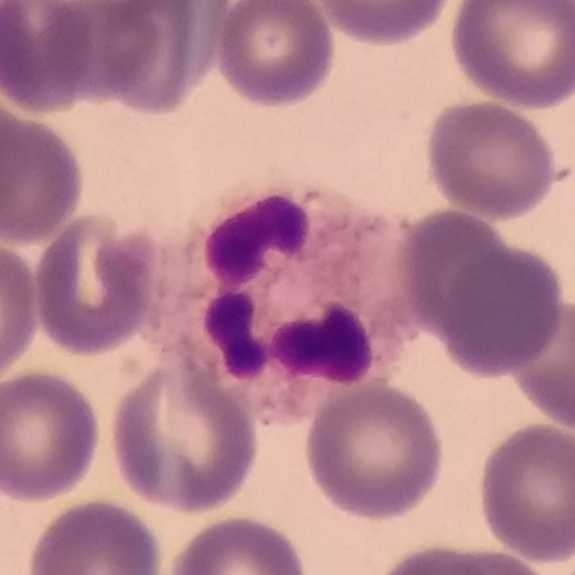 The cell shown is a neutrophil. Context: Peripheral blood smear.